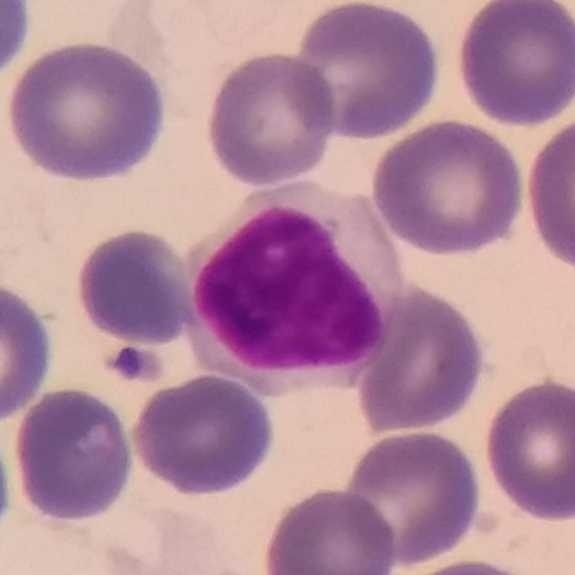 Q: Which cell type is shown here?
A: It is a lymphocyte.